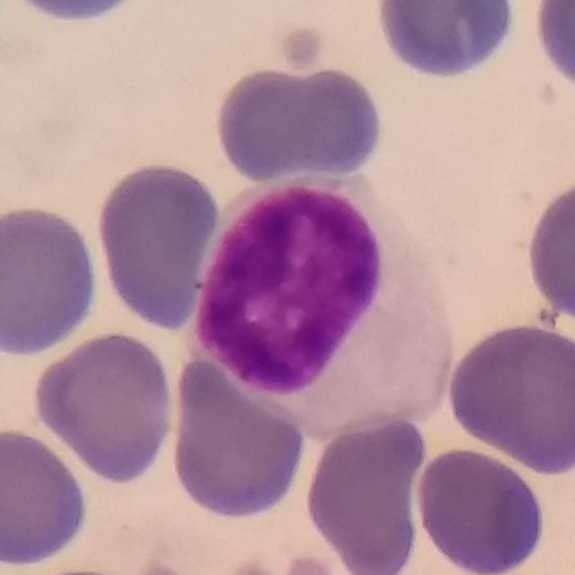
The white blood cell in this image is a lymphocyte. Acquisition: Peripheral blood smear · 100× magnification.